Single-cell crop; peripheral blood film: 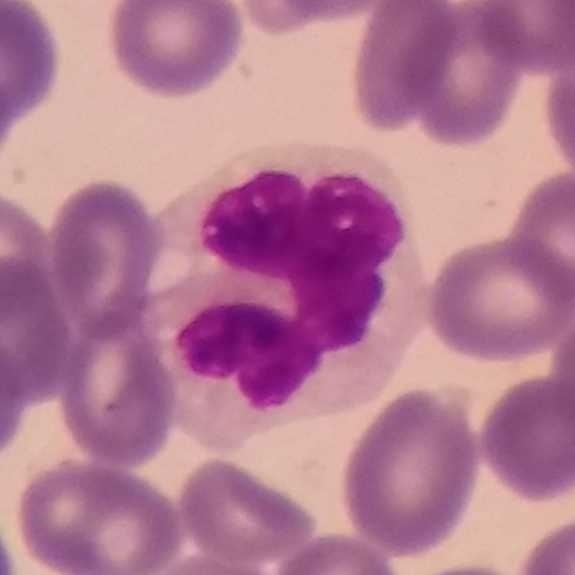Cell — monocyte.